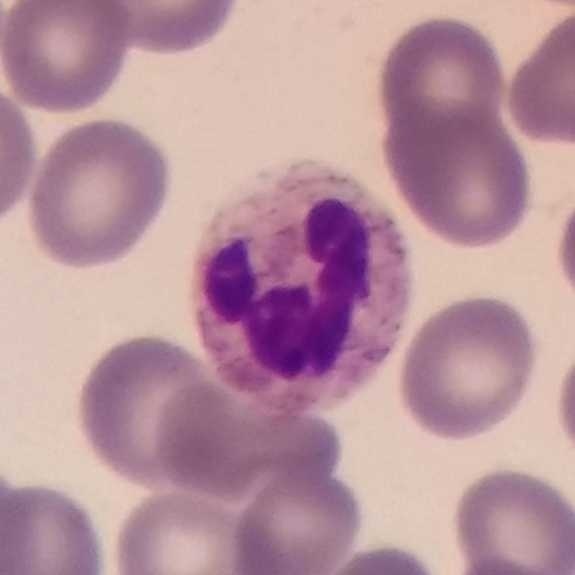

Specimen: peripheral blood smear.
Cell type: neutrophil granulocyte.
Lineage: myeloid.